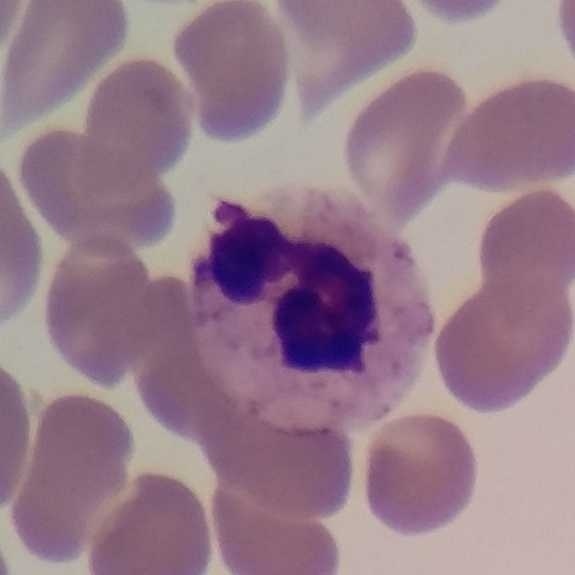Specimen: peripheral blood smear.
Cell: neutrophilic granulocyte.
Lineage: myeloid.